Peripheral blood smear · single white blood cell cropped from the smear photograph: 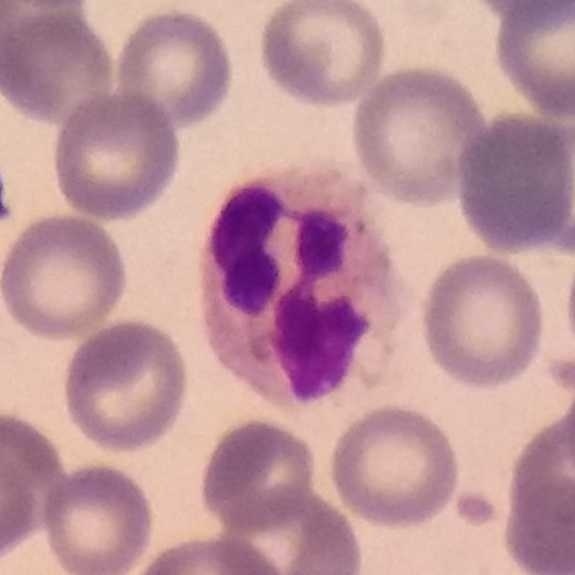 Impression — neutrophil granulocyte.